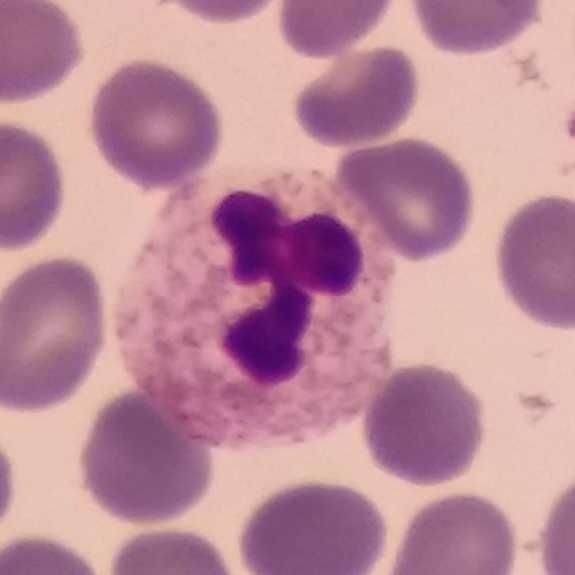

Peripheral blood film. {"cell_type": "neutrophil", "lineage": "myeloid"}